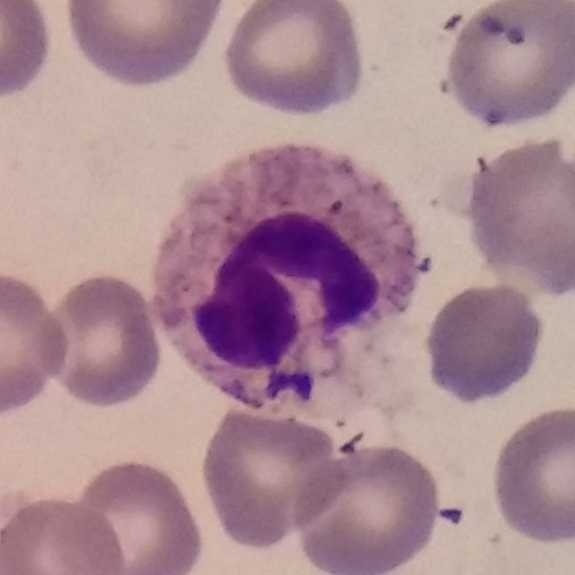 Neutrophil.

Acquisition: Peripheral blood film.